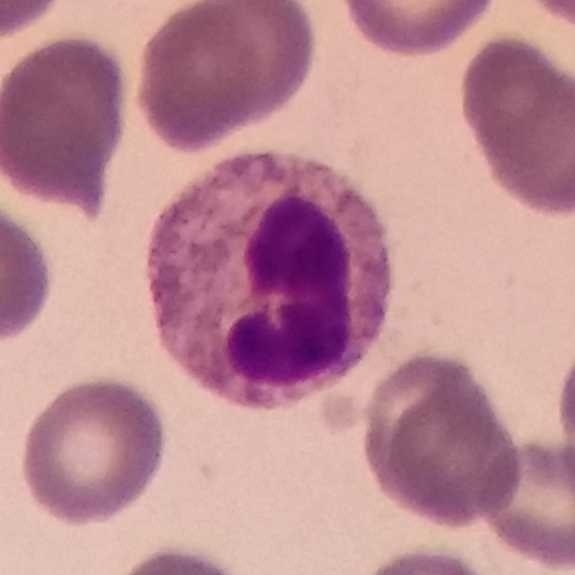

Peripheral blood smear.
Classification: neutrophil granulocyte.